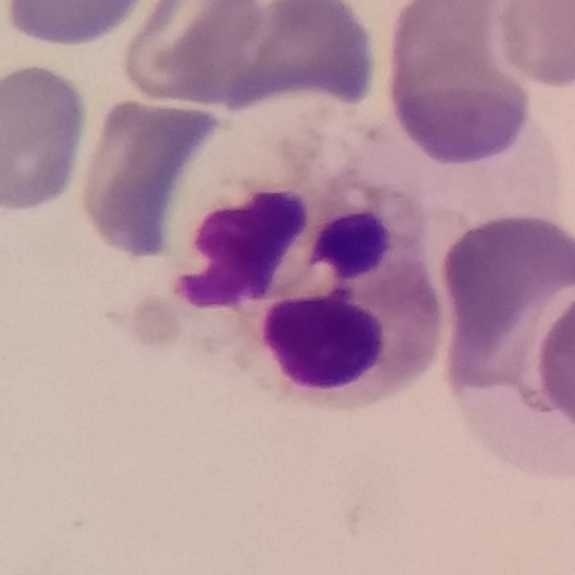Morphology — neutrophil granulocyte. Image: Peripheral blood smear · smartphone photomicrograph.